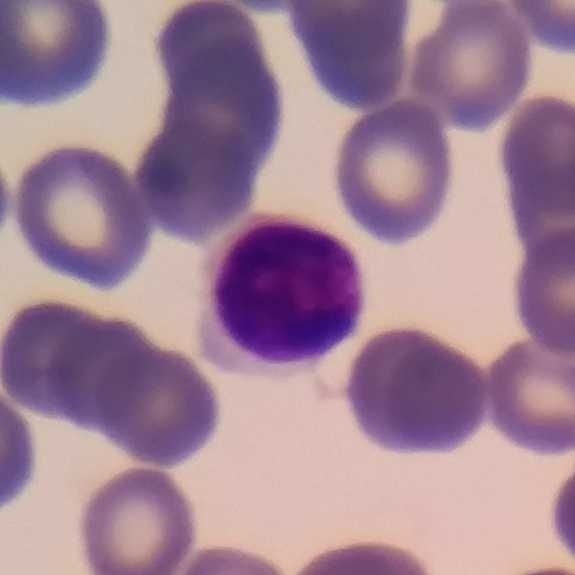

Q: What cell is this?
A: Lymphocyte.